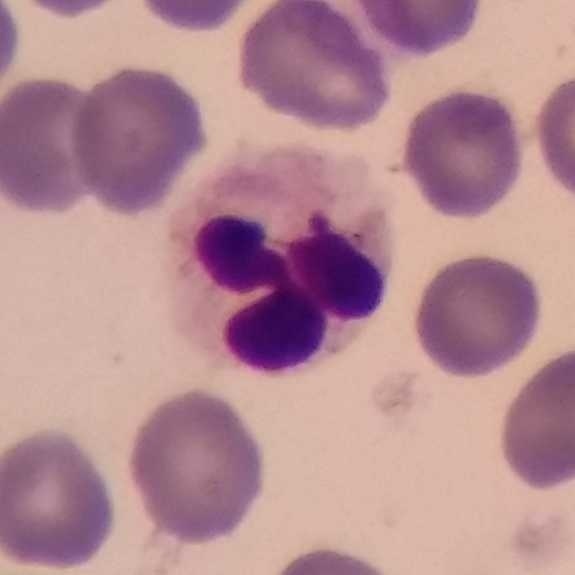
Q: What type of cell is this?
A: It is a neutrophil.